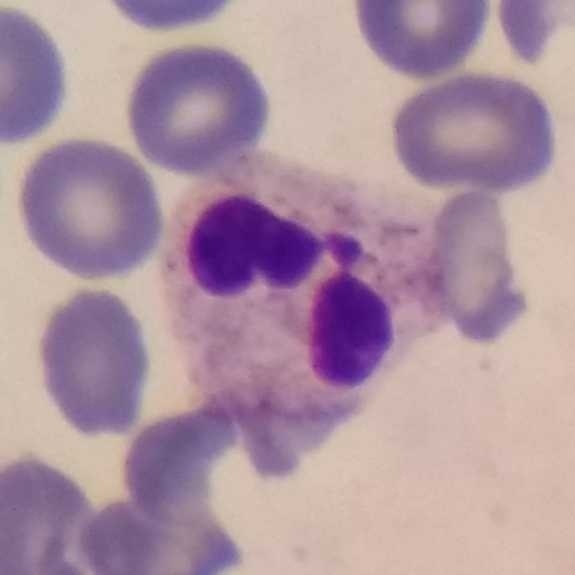
Morphological class — neutrophil granulocyte.